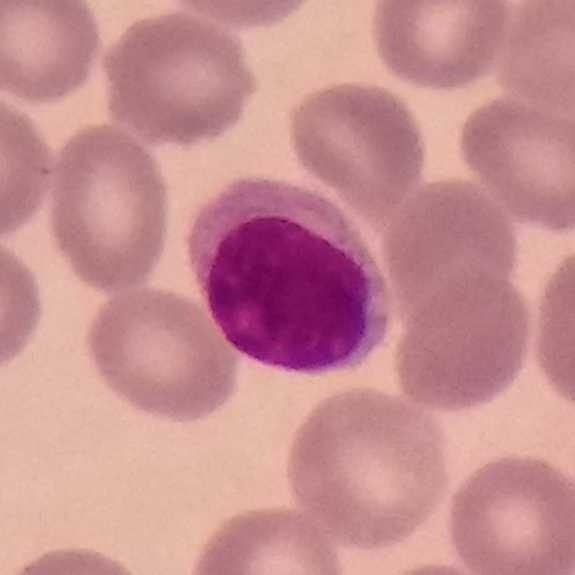

Acquisition: Peripheral blood film; Giemsa-stained.

Q: What is shown here?
A: A lymphocyte.